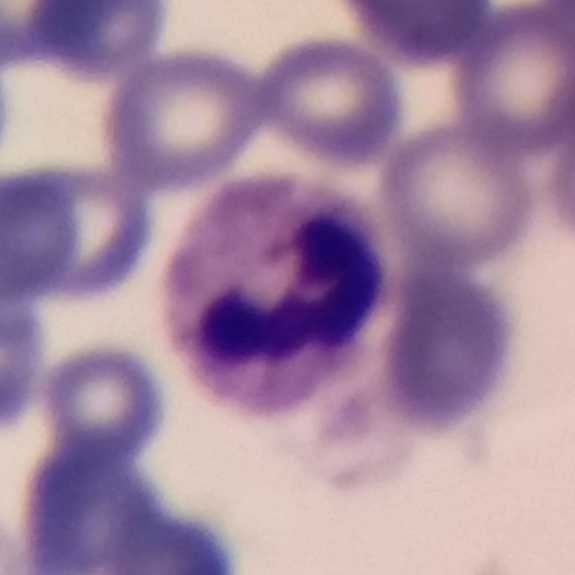

Q: What is the morphological classification of this cell?
A: This is a neutrophil.
Peripheral blood film.